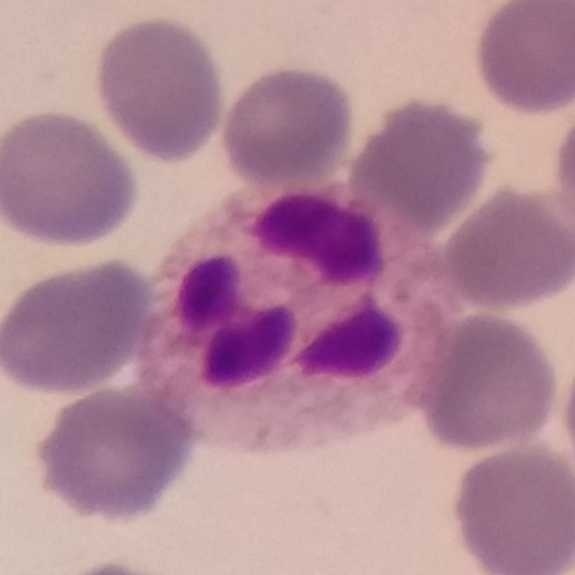
Context: Imaged at 100×.

Specimen: peripheral blood smear.
Morphological class: neutrophilic granulocyte.
Lineage: myeloid.